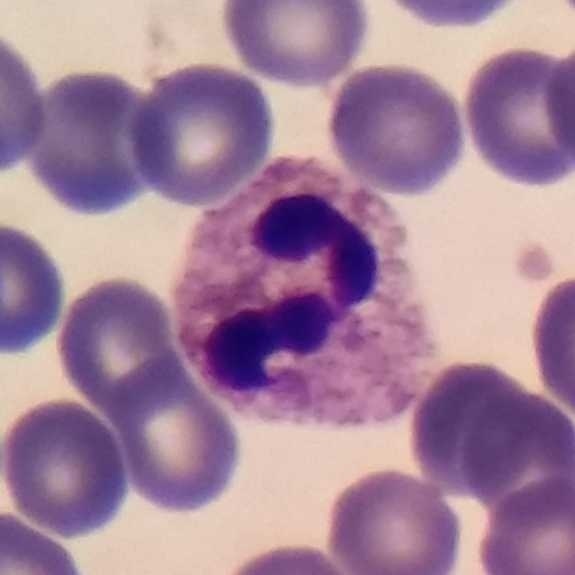

Cell = neutrophil.